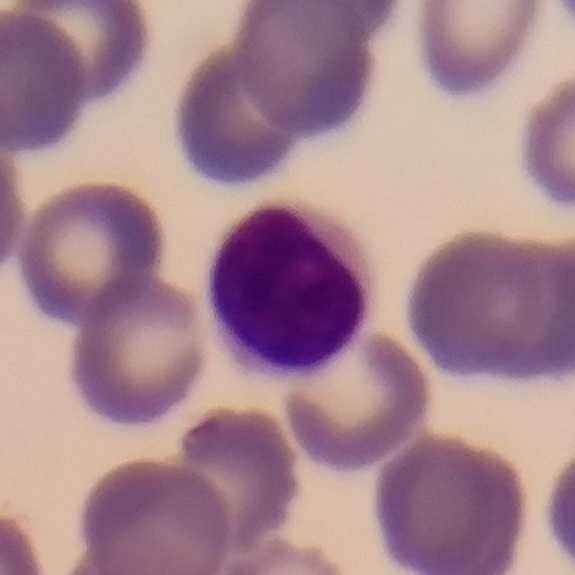
Peripheral blood film; 575 by 575 pixels.
Single cell identified as a lymphocyte.